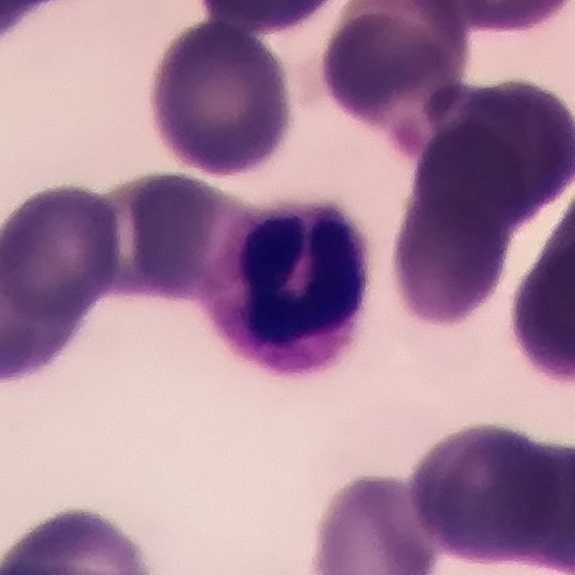

Specimen: peripheral blood film.
White blood cell type: neutrophilic granulocyte.
Lineage: myeloid.

Preparation: Giemsa-stained.